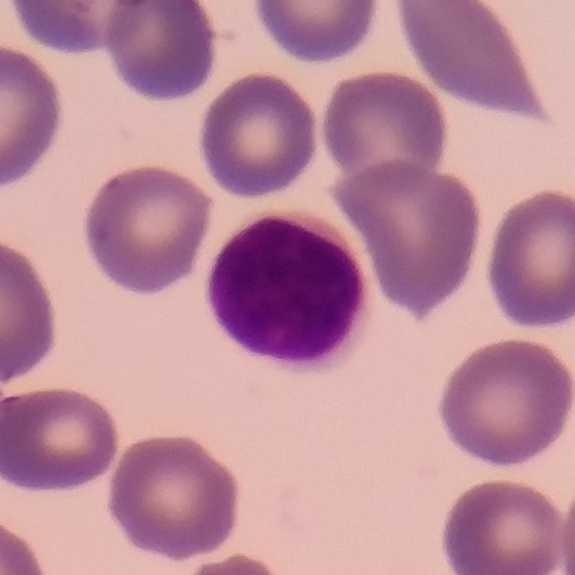 Smartphone camera mounted on the microscope eyepiece. Peripheral blood smear. Morphology → lymphocyte.